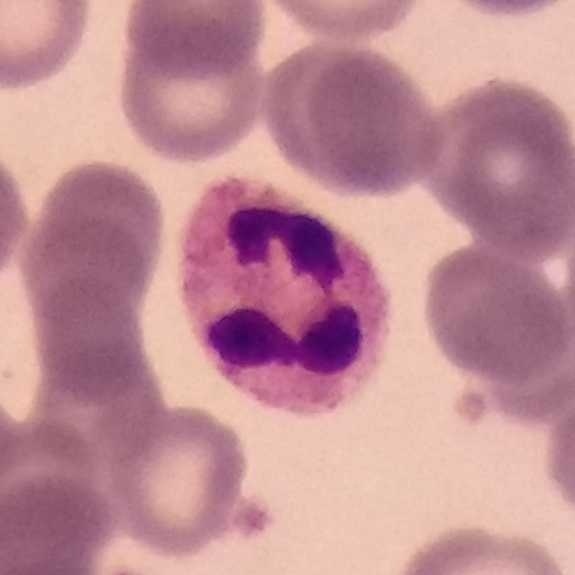

Classification = neutrophil granulocyte.

Peripheral blood film.